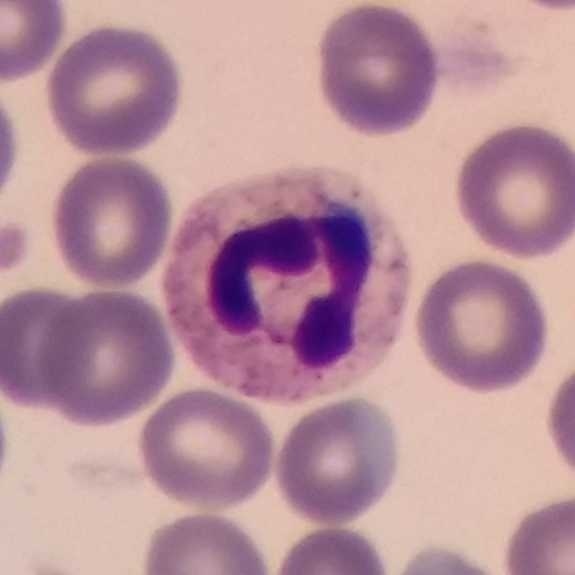
Morphology consistent with a neutrophil.

Magnification 100×. Peripheral blood smear. Giemsa-stained.